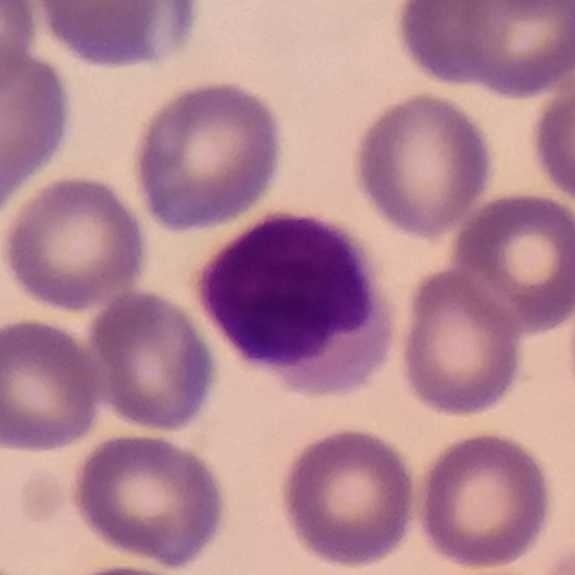

Peripheral blood smear.

Q: Which type of white blood cell is this?
A: This is a lymphocyte.